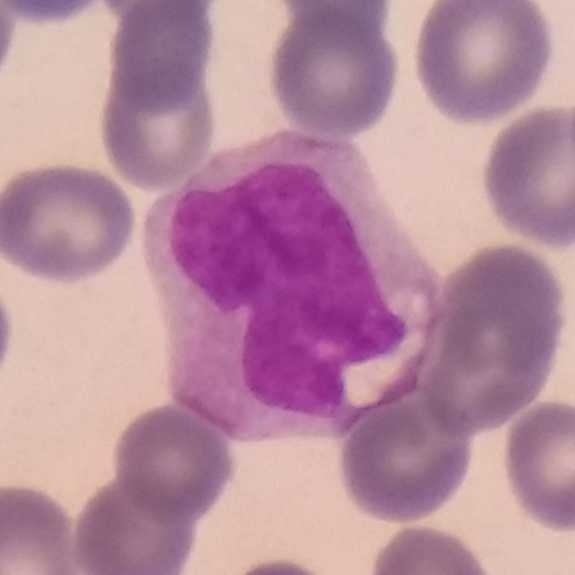 Identified as a monocyte.
Giemsa stain; peripheral blood smear.